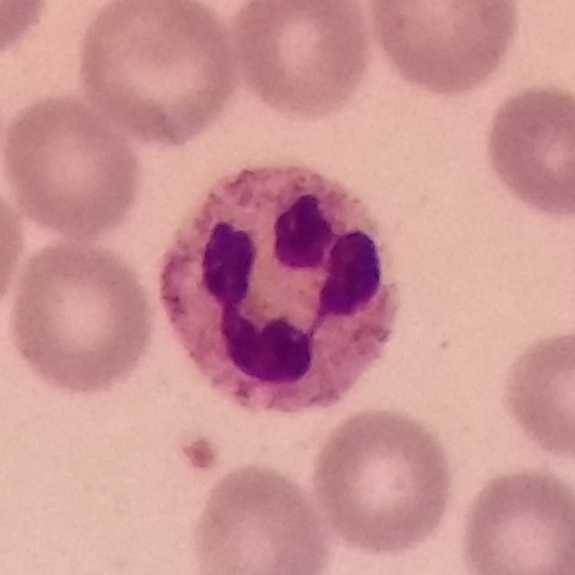

White blood cell type: neutrophil.